Peripheral blood film.
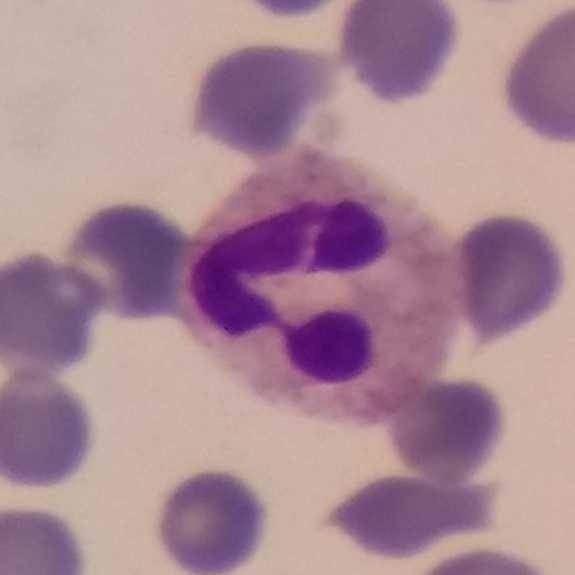

Single cell identified as a neutrophil.